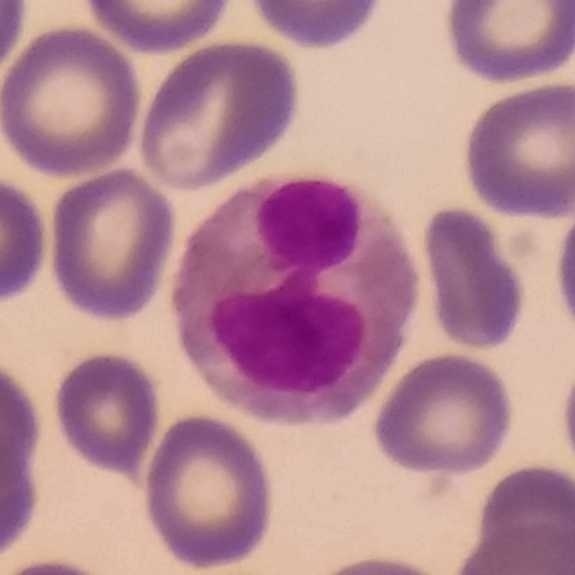Cell type = eosinophil.
Context: Peripheral blood film. Single-cell field. Stained with Giemsa.